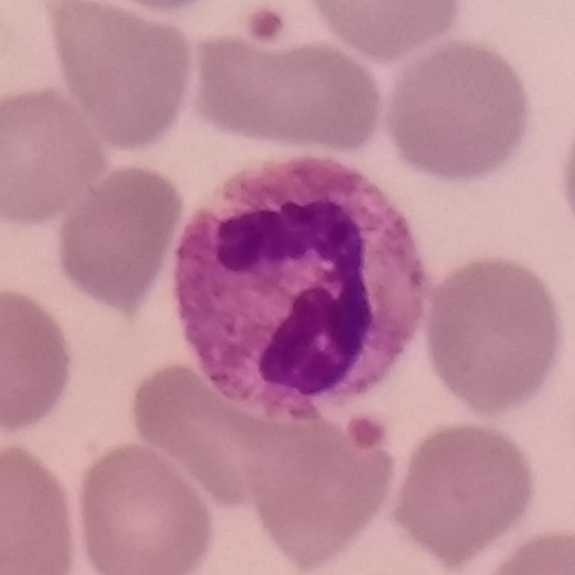

Acquisition: Peripheral blood film.
This is a neutrophilic granulocyte.